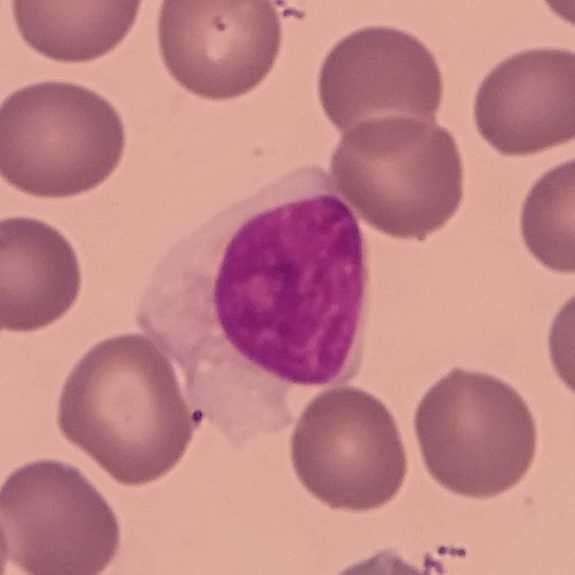 Specimen: peripheral blood film.
Cell: lymphocyte.